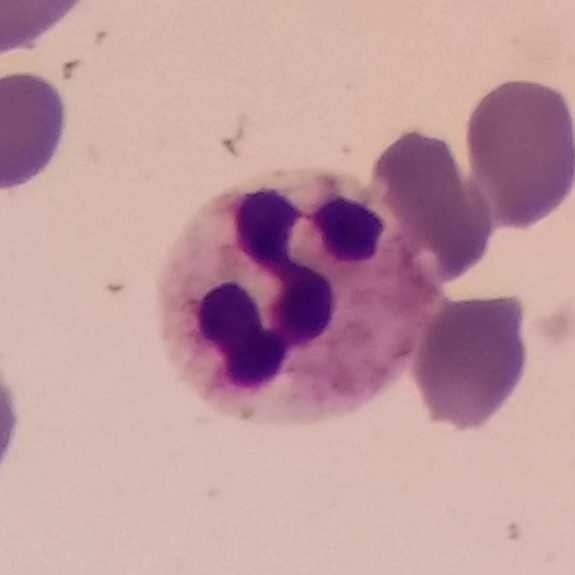Morphology → neutrophil.